Peripheral blood film
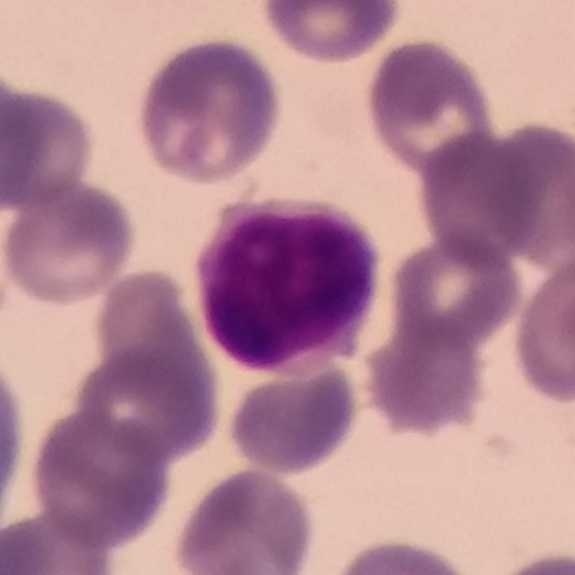
A lymphocyte.